Peripheral blood smear:
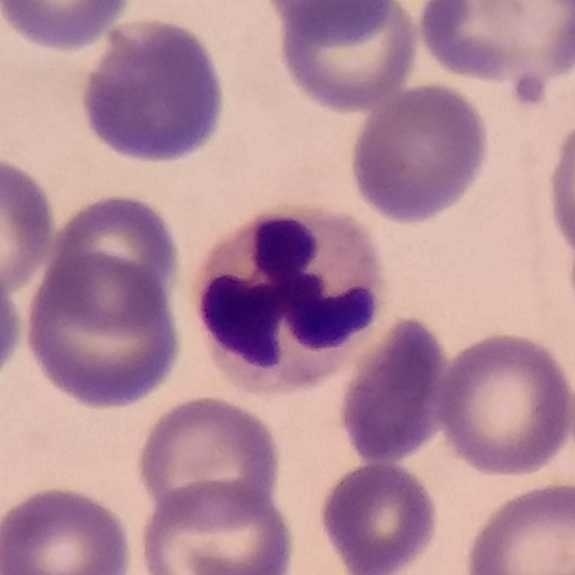
Neutrophilic granulocyte.